Peripheral blood smear — 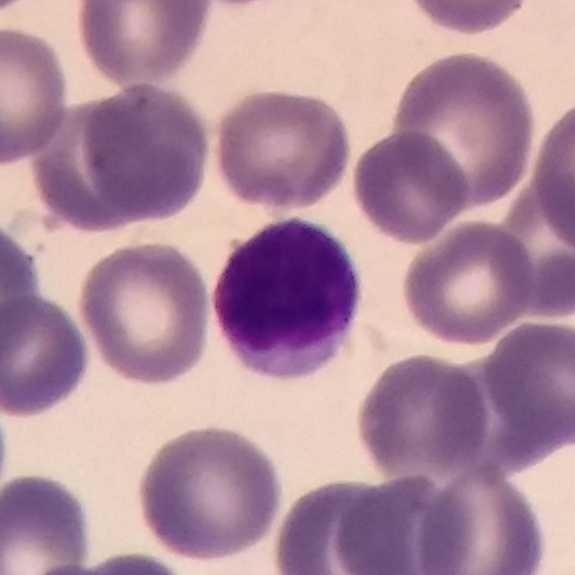Morphology — lymphocyte.